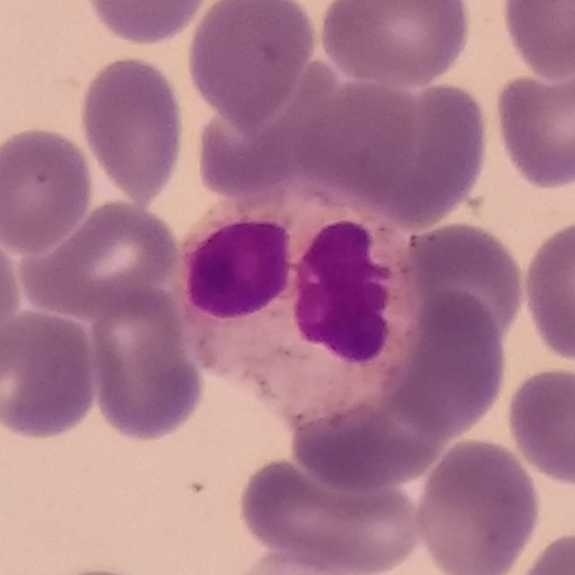
The cell shown is a neutrophilic granulocyte.
Single-cell field; peripheral blood smear.